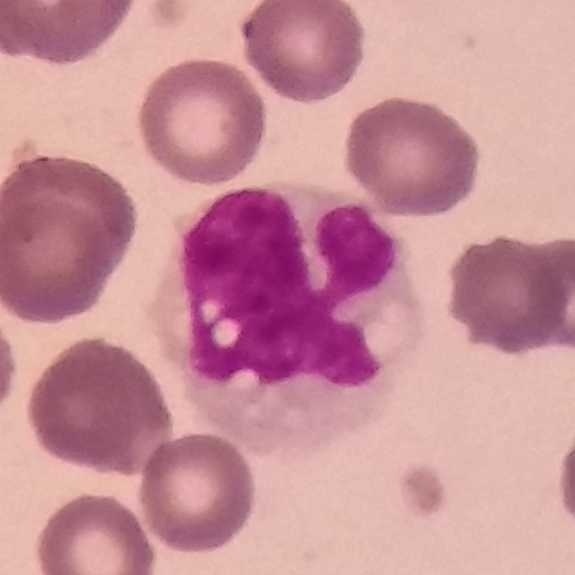Q: Which cell type is shown here?
A: This is a monocyte.